Peripheral blood smear:
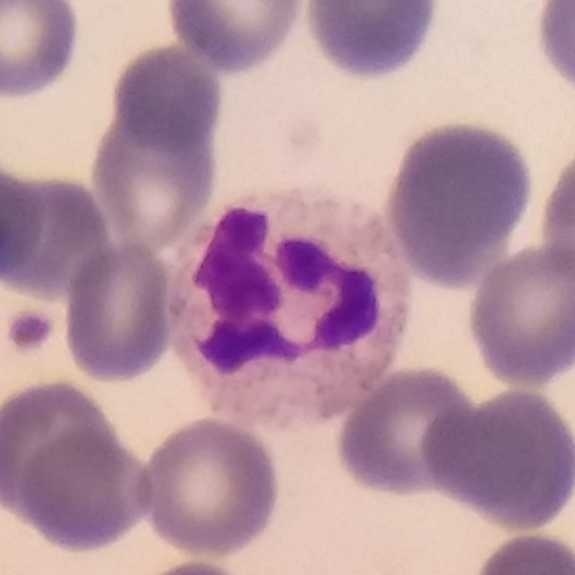 {"cell_type": "neutrophil"}